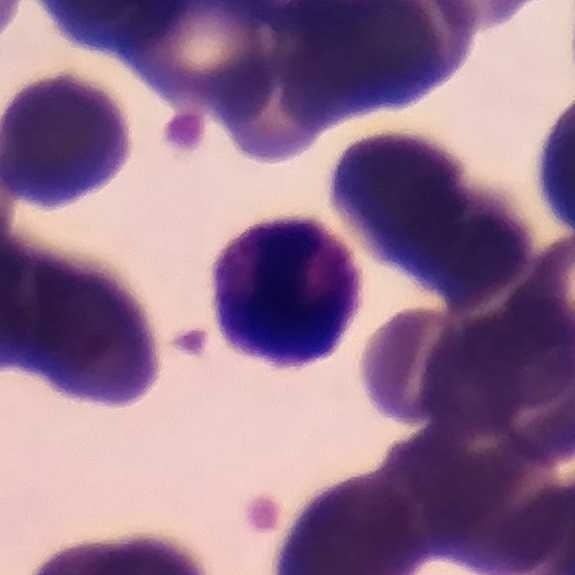

Context: Peripheral blood smear.

Q: What is this?
A: It is a neutrophilic granulocyte.